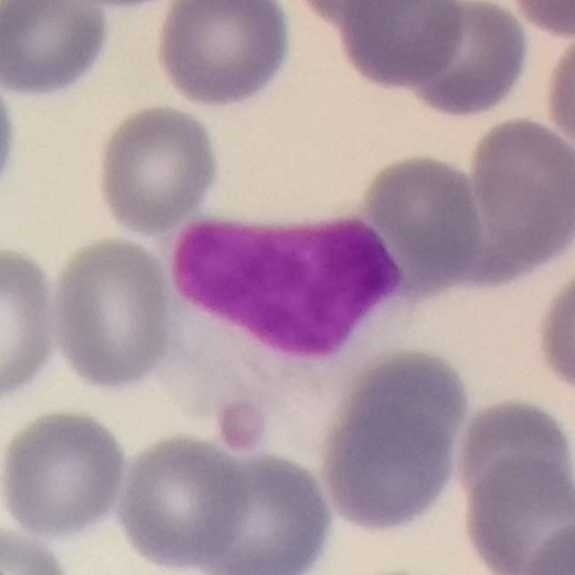 Preparation: Peripheral blood film.
Cell — lymphocyte.